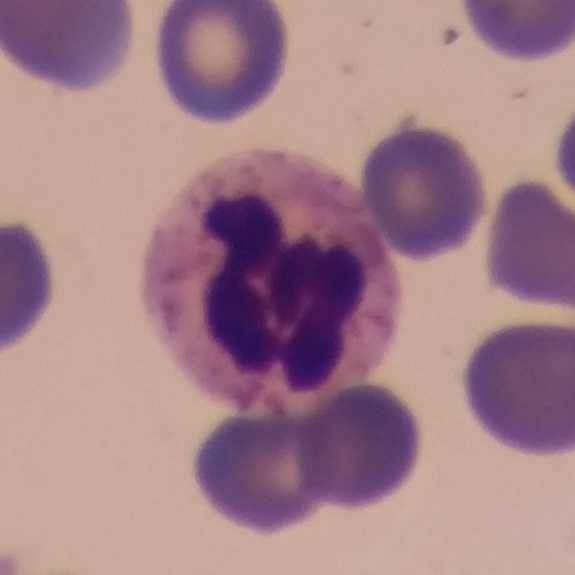

Image: Peripheral blood film; stained with Giemsa. Q: What type of cell is this?
A: Neutrophil.